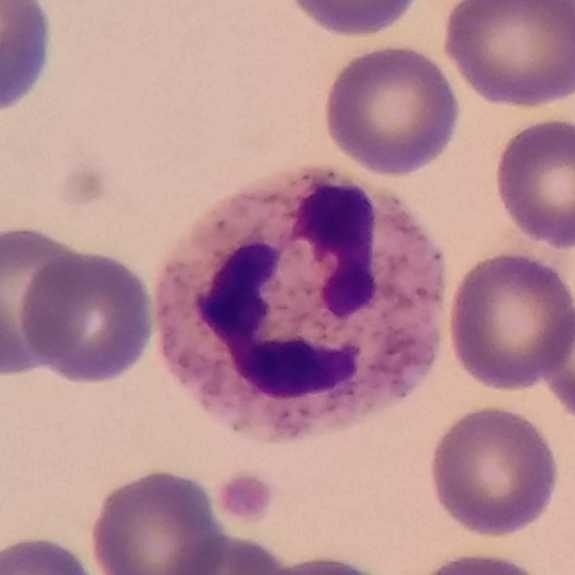
Showing a neutrophilic granulocyte.

Preparation: Peripheral blood film.